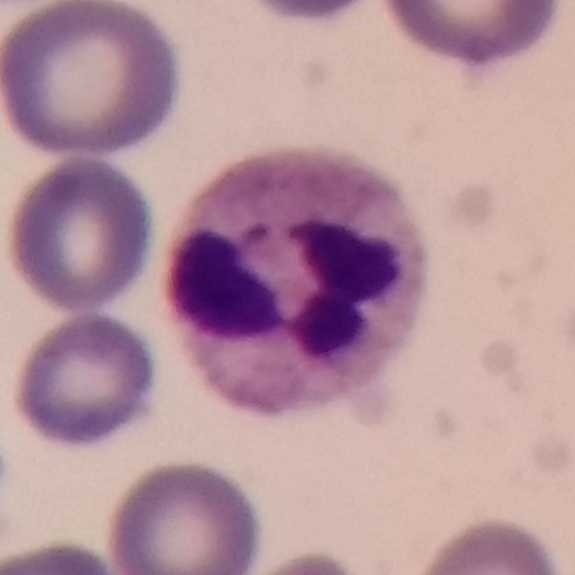Q: Which type of white blood cell is this?
A: Neutrophil granulocyte.

Peripheral blood smear.